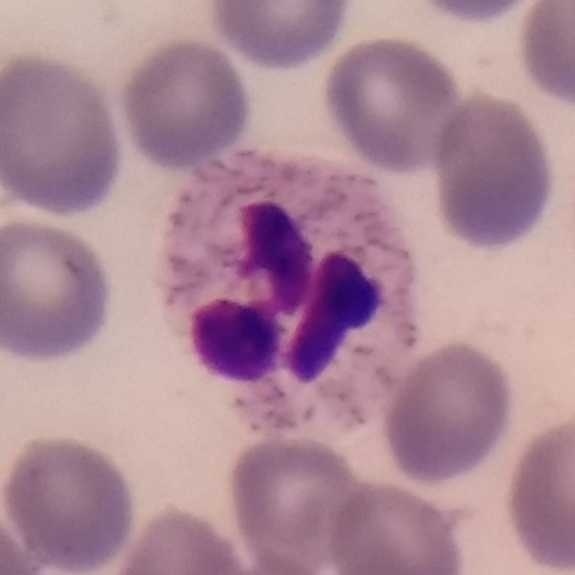 Impression → neutrophil.

Preparation: Photographed through a light microscope with a smartphone camera; peripheral blood smear; Giemsa-stained.